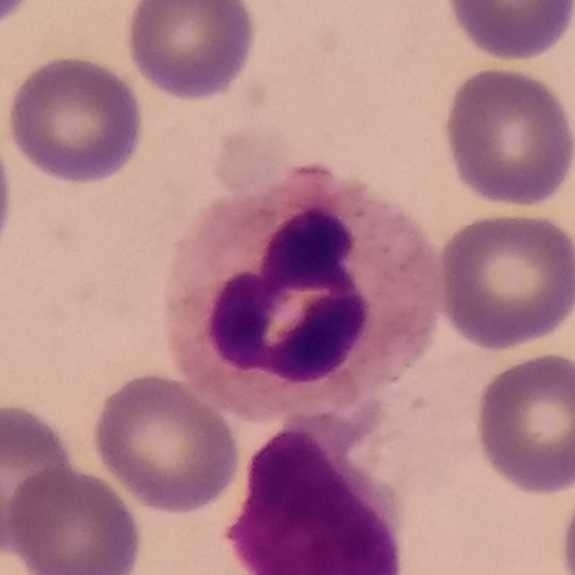

Q: What cell is this?
A: This is a neutrophil.